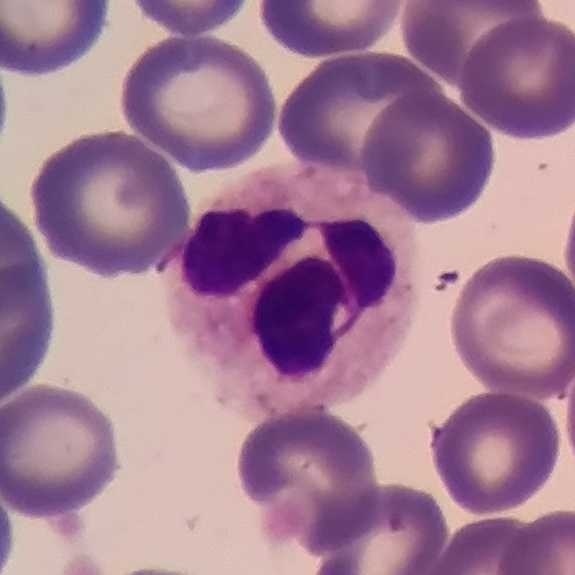
Cell type — neutrophil.